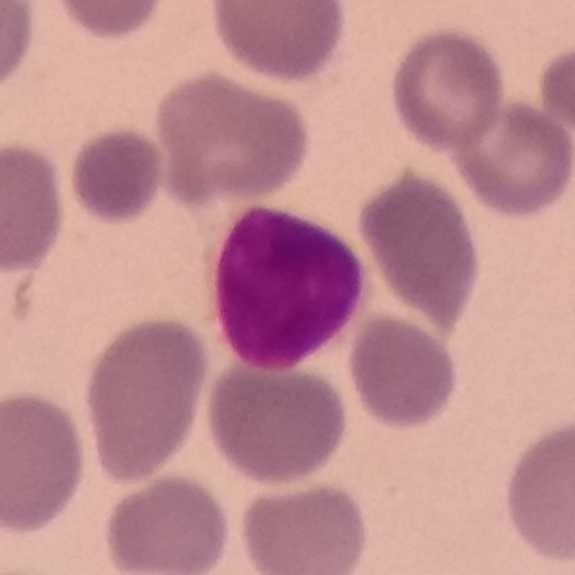
Acquisition: Single-cell crop. Peripheral blood film.

{"cell_type": "lymphocyte", "lineage": "lymphoid"}